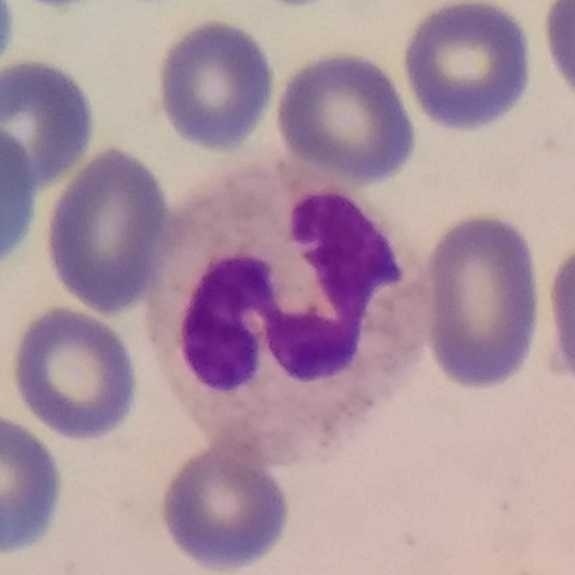

The classification is neutrophil.